Peripheral blood smear. Stained with Giemsa.
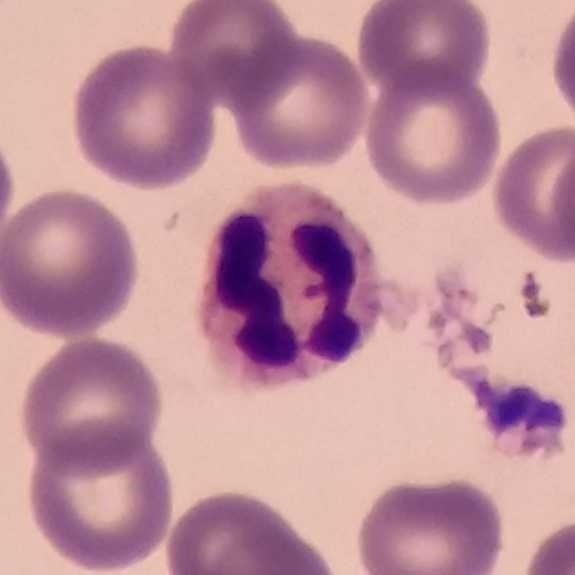
Identified as a neutrophil.